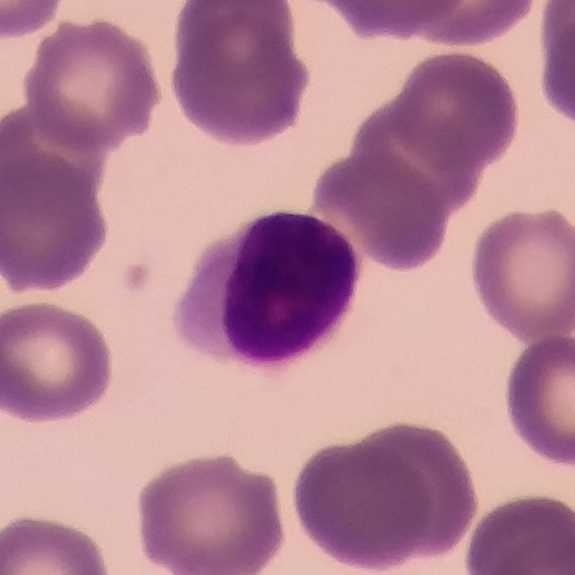
Image: Peripheral blood film.
Morphological class = lymphocyte.